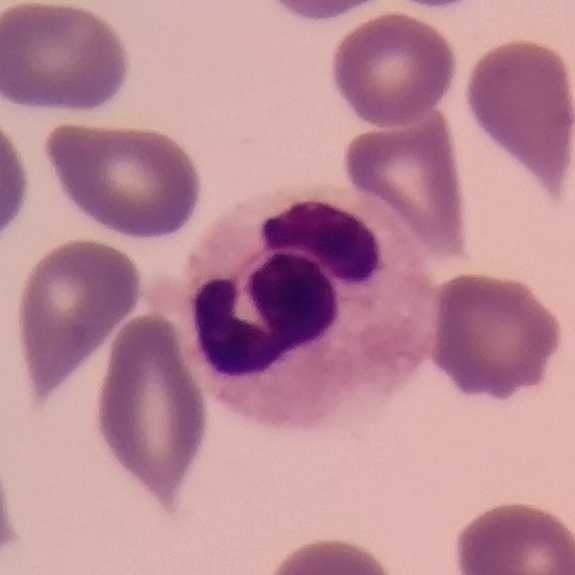 Peripheral blood smear.
Neutrophil granulocyte.